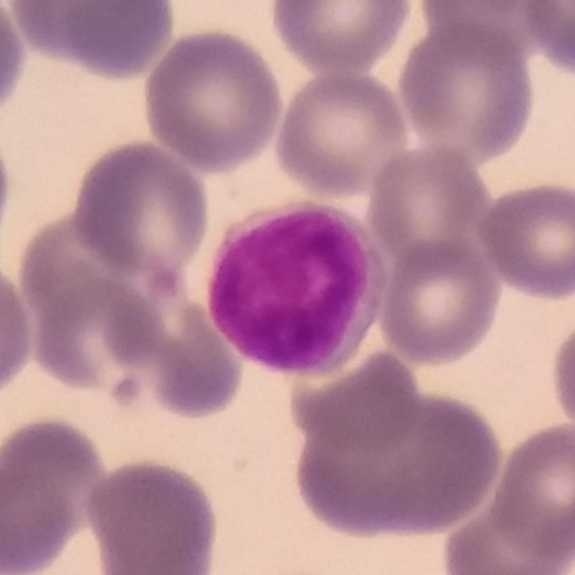The cell shown is a lymphocyte.

Preparation: Peripheral blood smear.